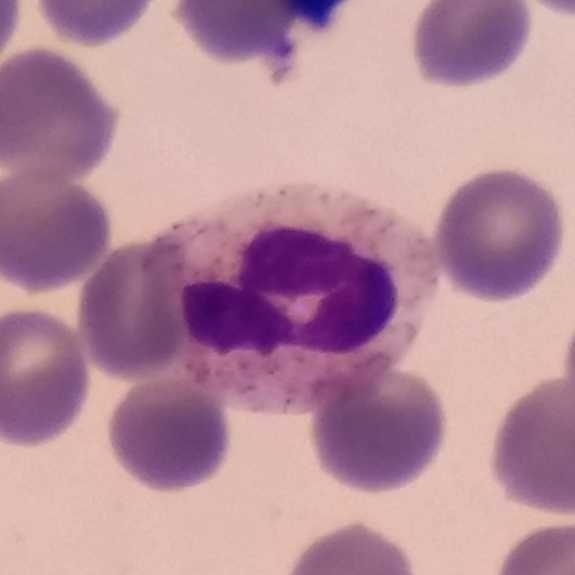
Acquisition: Magnification 100×. 575 by 575 pixels. Peripheral blood film.

Cell: neutrophil granulocyte.